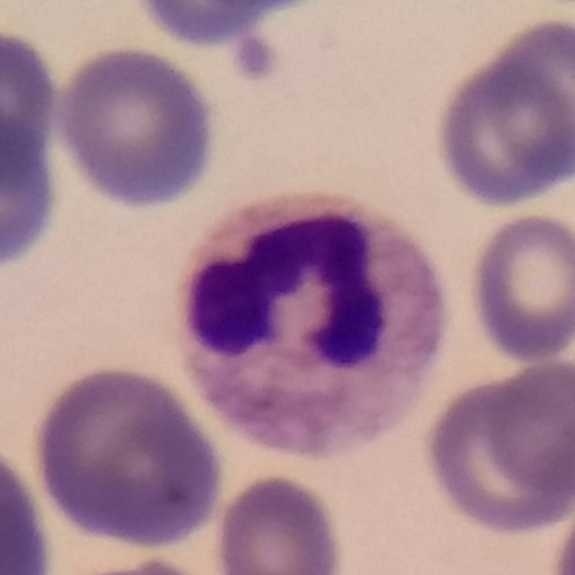

Classification: neutrophilic granulocyte.

Context: Peripheral blood smear.